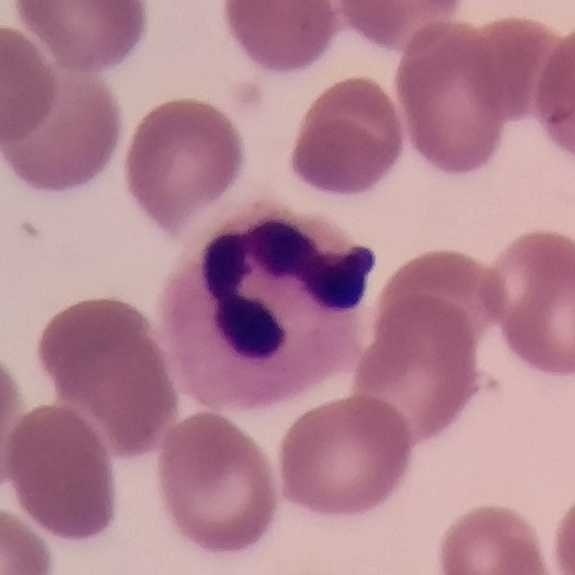
Showing a neutrophil granulocyte.